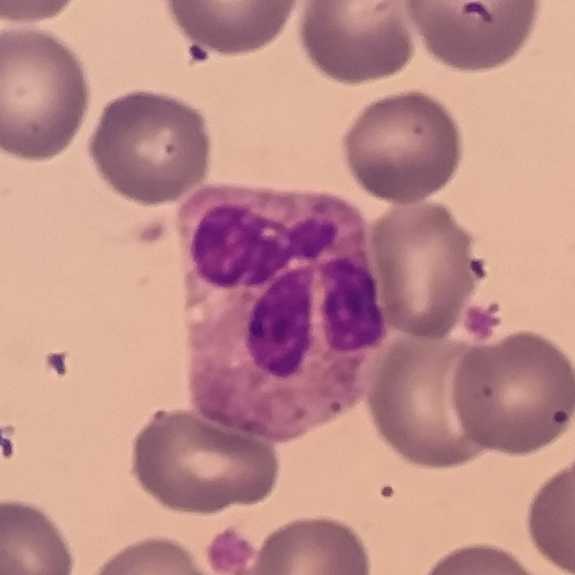
{"cell_type": "neutrophil granulocyte"}